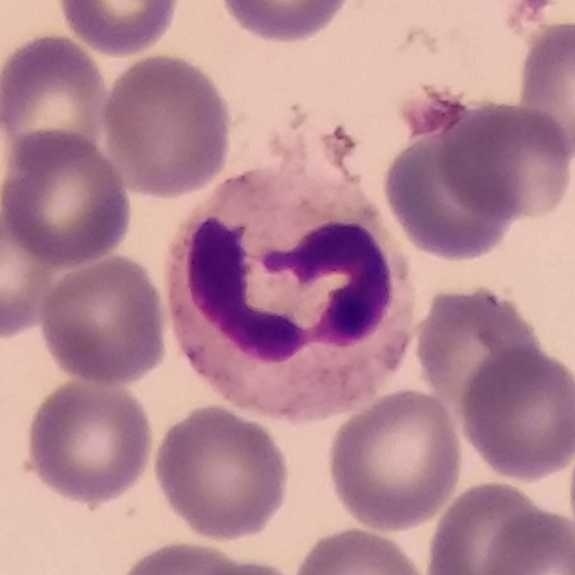

This is a neutrophil granulocyte. Photographed through a light microscope with a smartphone camera; Giemsa stain; peripheral blood smear.